Peripheral blood film. Giemsa stain.
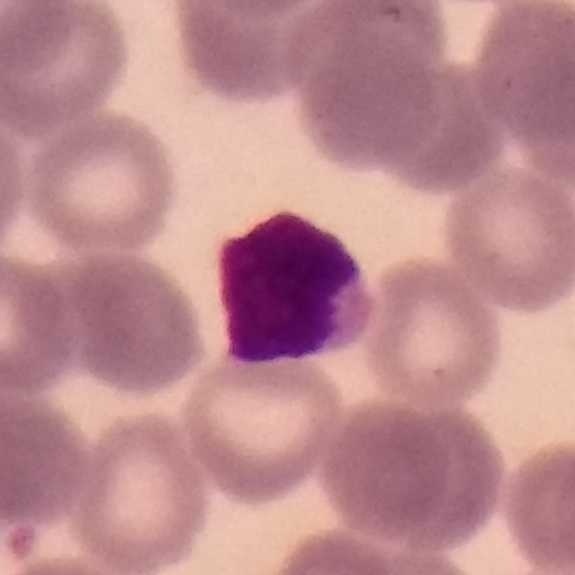 The cell is lymphocyte.